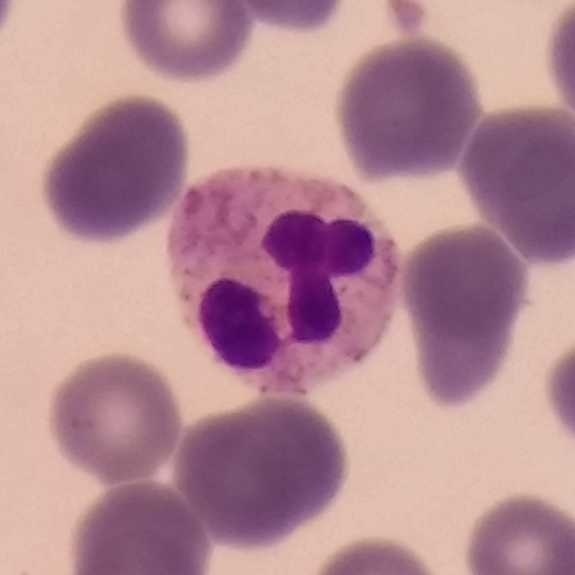The classification is neutrophilic granulocyte.